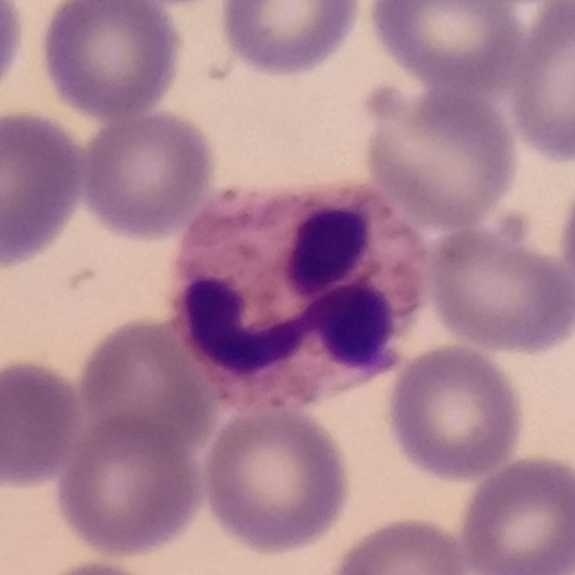
Preparation: Peripheral blood smear. 575×575. Impression → neutrophil granulocyte.